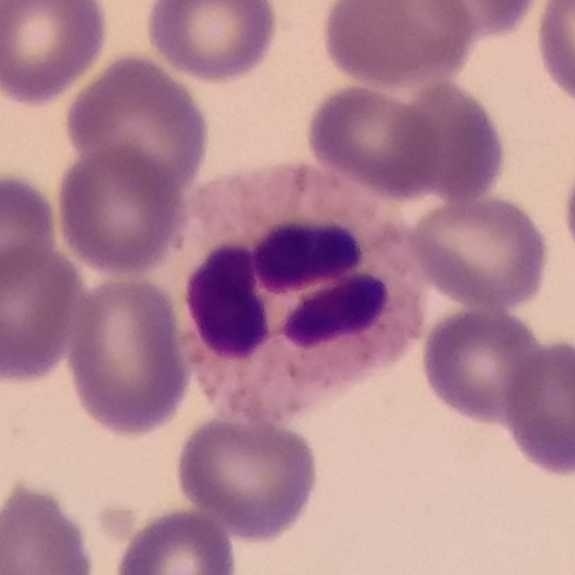

Q: Identify the cell.
A: This is a neutrophil granulocyte.